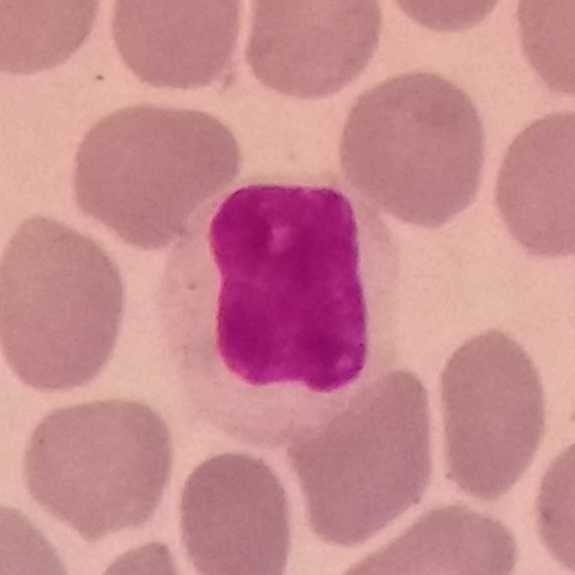 Cell type — lymphocyte.